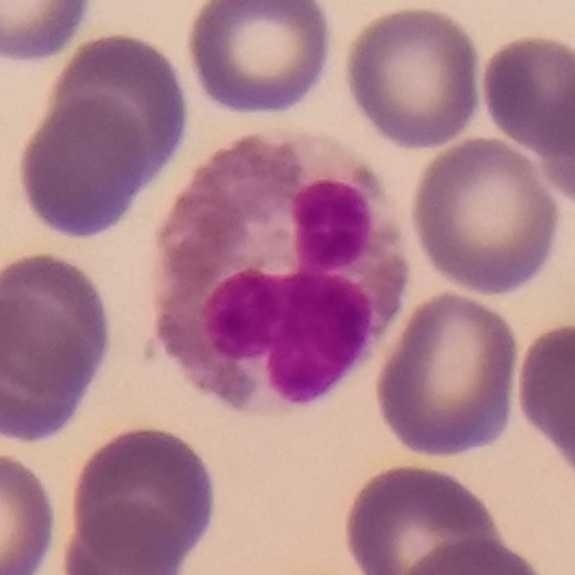
Morphology consistent with an eosinophilic granulocyte. Acquisition: Photographed through a light microscope with a smartphone camera; peripheral blood film.